Peripheral blood film
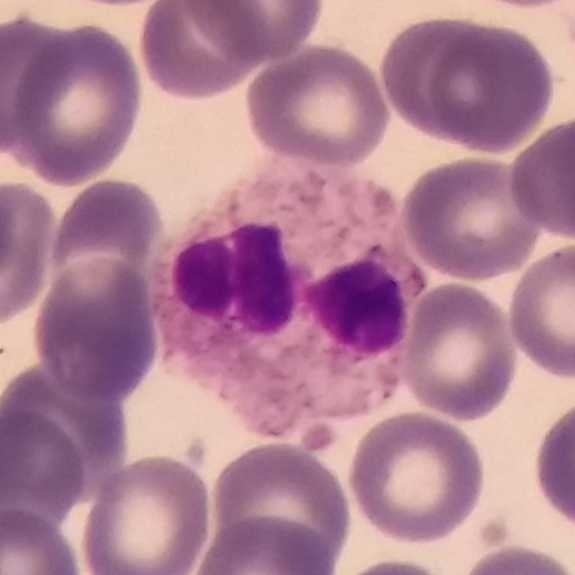 Q: What cell is this?
A: This is a neutrophilic granulocyte.